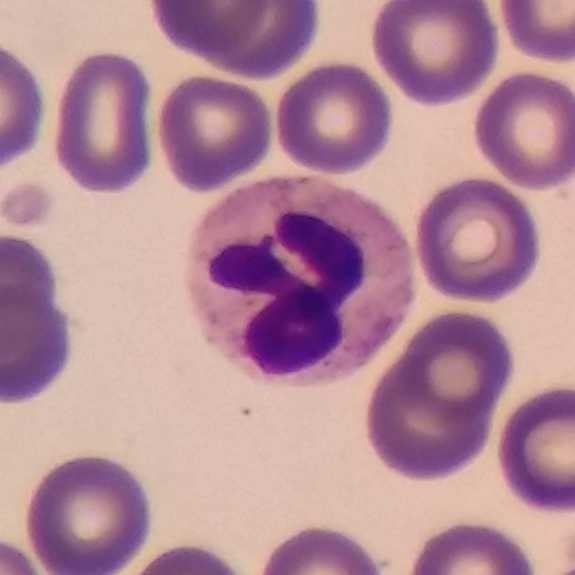
Peripheral blood smear.
Morphological class — neutrophil granulocyte.